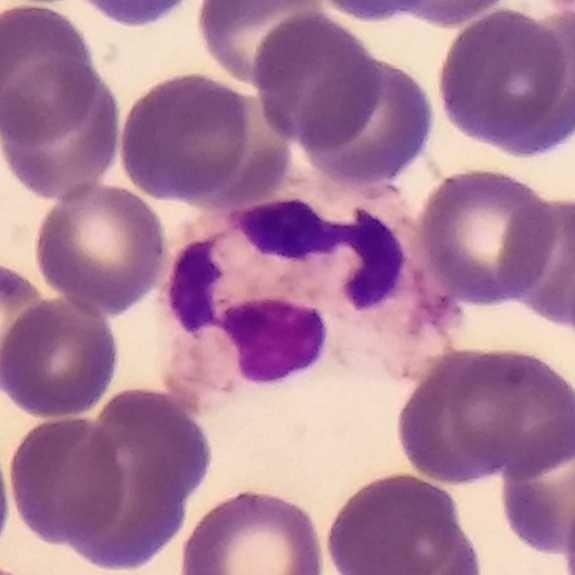The cell type is neutrophil.

Image: Peripheral blood film. Single-cell field.